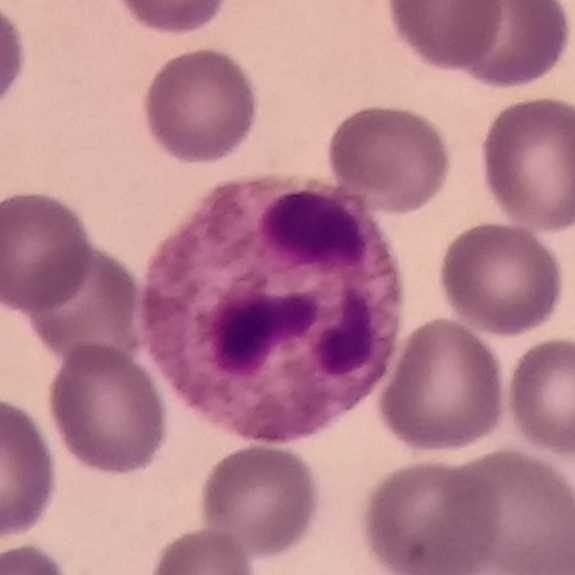
Peripheral blood smear.

Q: What cell is this?
A: Neutrophil granulocyte.